575×575 · peripheral blood smear — 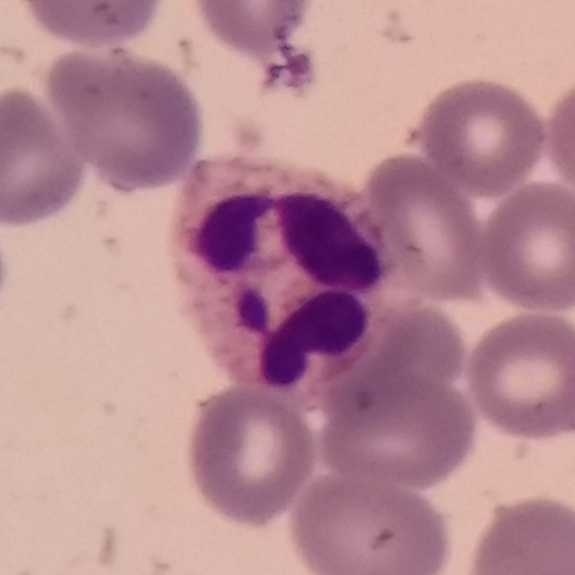

Specimen: peripheral blood smear.
Morphological class: neutrophil granulocyte.
Lineage: myeloid.